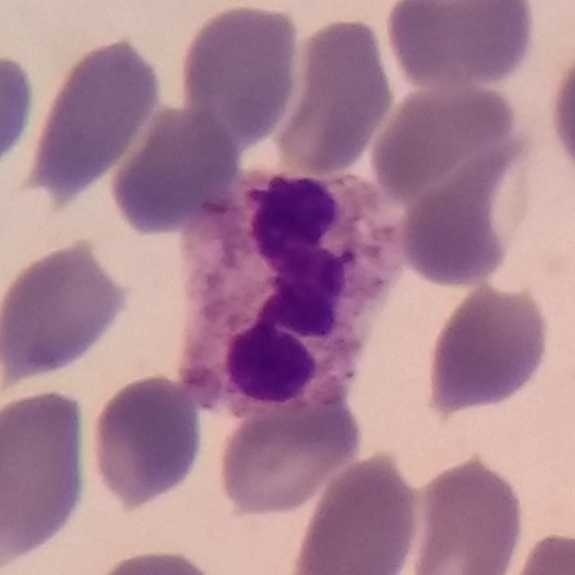
Morphology → neutrophil granulocyte.